Peripheral blood smear.
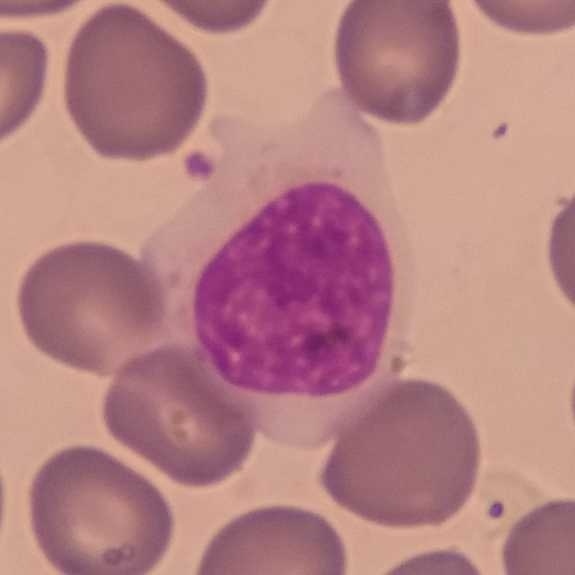

Specimen: peripheral blood smear.
White blood cell type: monocyte.
Lineage: myeloid.